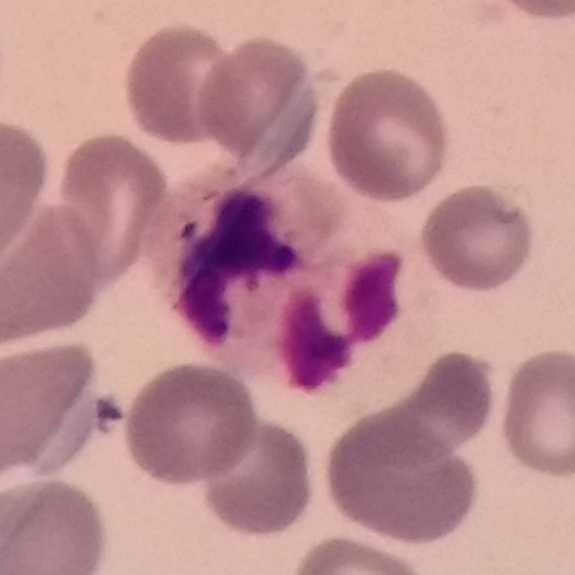

Context: Peripheral blood smear.

Morphological class — neutrophil granulocyte.